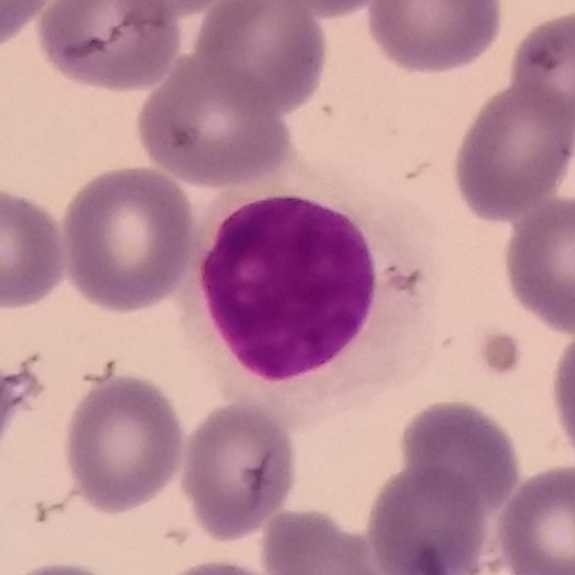

Morphology consistent with a lymphocyte.